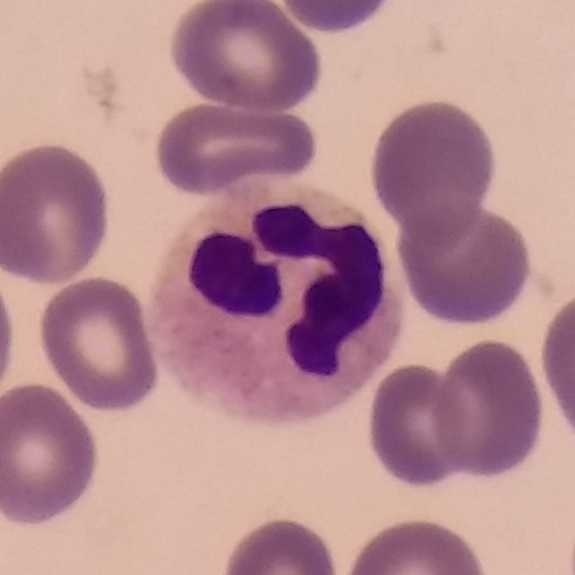

Specimen: peripheral blood film.
Morphological class: neutrophilic granulocyte.